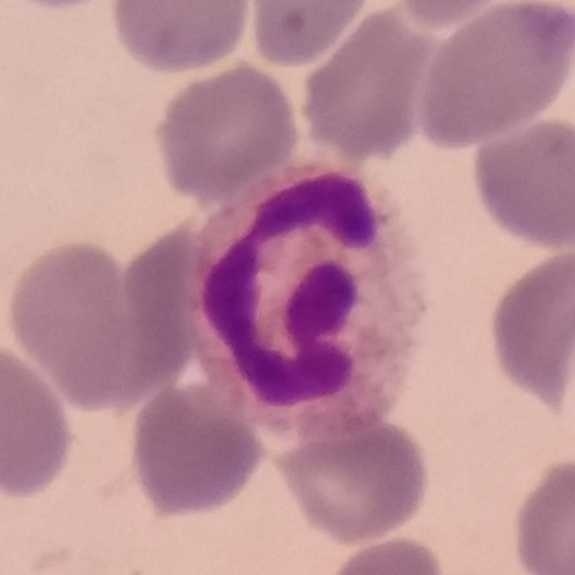
Specimen: peripheral blood smear.
Cell type: neutrophilic granulocyte.
Lineage: myeloid.